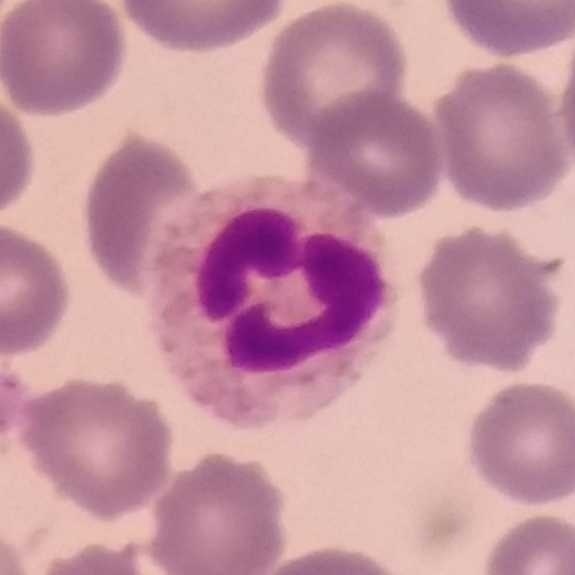Impression — neutrophil.

Peripheral blood smear.